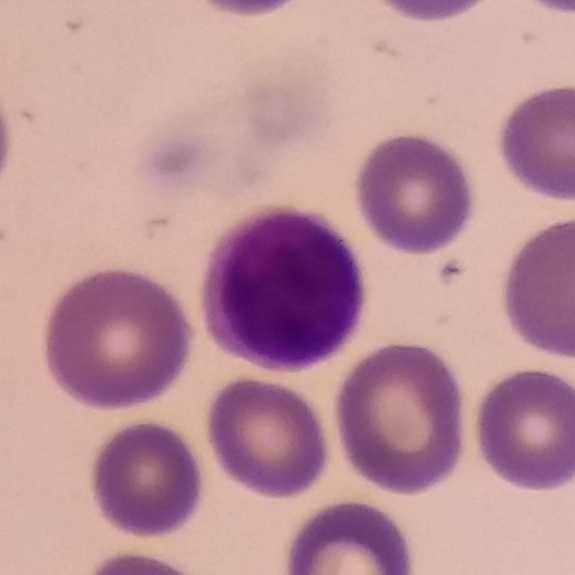

The morphological class is lymphocyte.